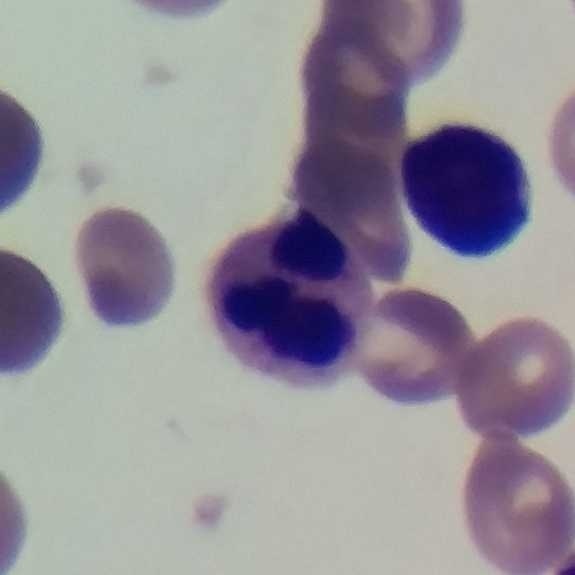 Impression → neutrophilic granulocyte.

Image: Peripheral blood film.